Peripheral blood smear. Smartphone photomicrograph:
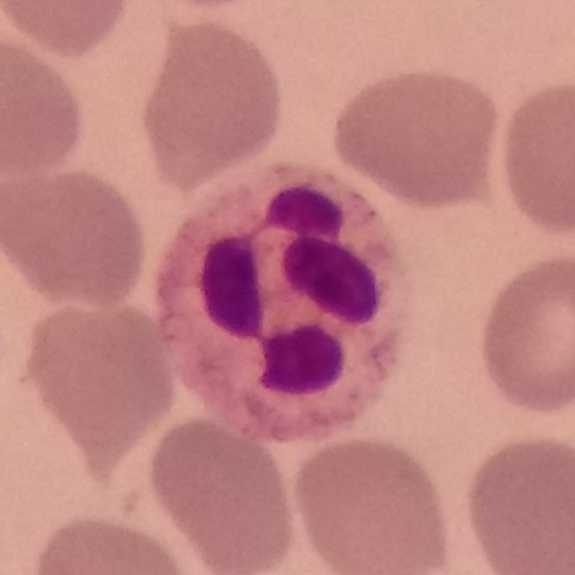

Classification: neutrophil granulocyte.